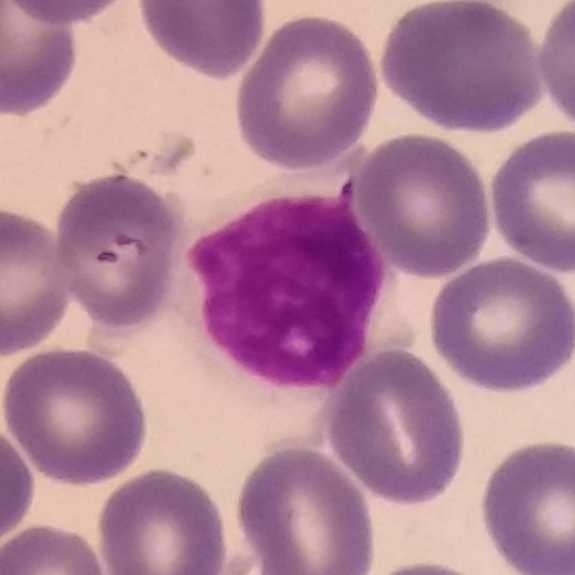

Q: What is shown here?
A: A lymphocyte.
Peripheral blood smear; single white blood cell cropped from the smear photograph.